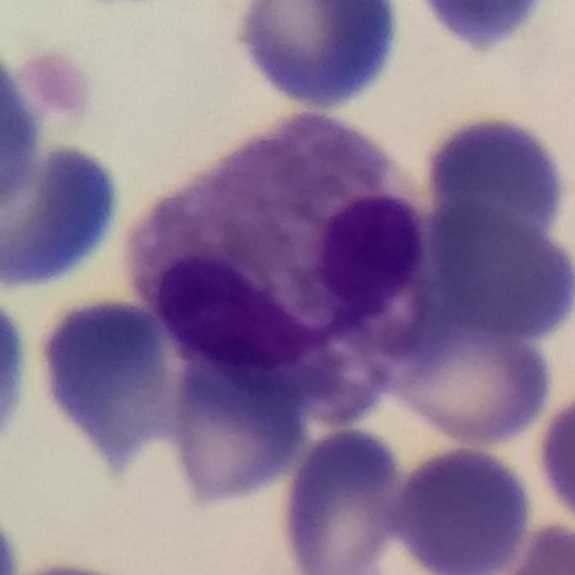 Specimen: peripheral blood smear.
Cell: eosinophilic granulocyte.